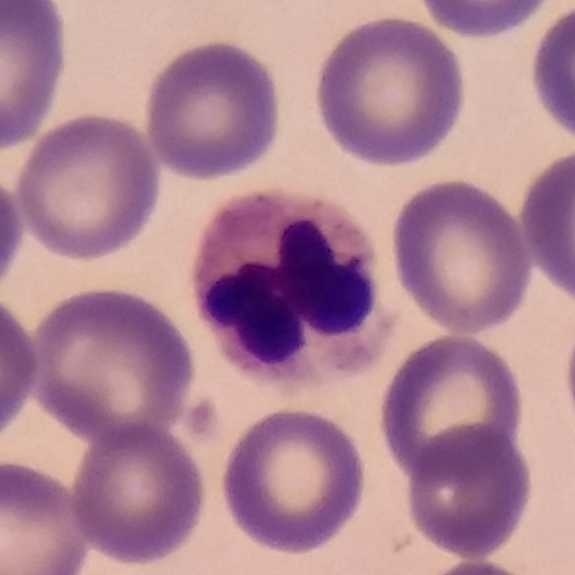

Q: Which type of white blood cell is this?
A: Neutrophilic granulocyte. Image: Peripheral blood smear.